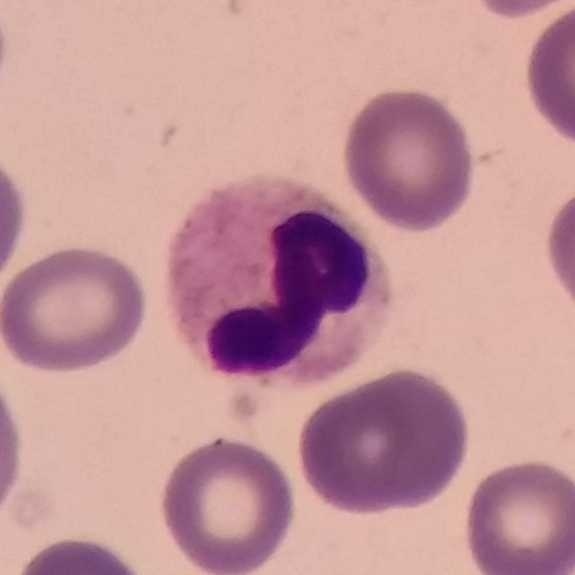Preparation: Peripheral blood smear.
Cell — neutrophil.